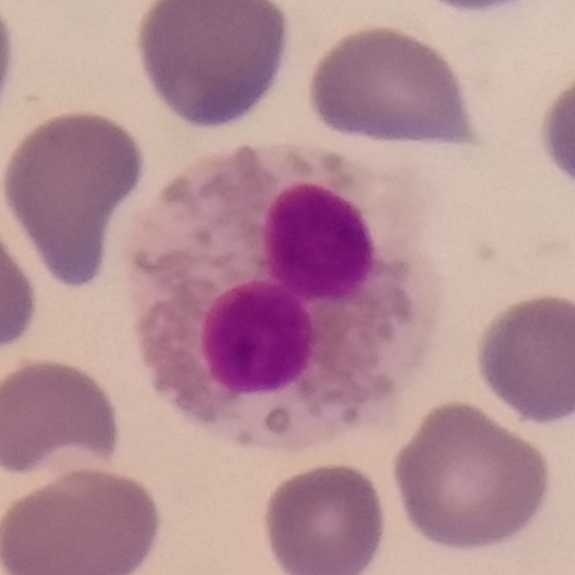 Specimen: peripheral blood smear.
Morphological class: eosinophilic granulocyte.
Lineage: myeloid.